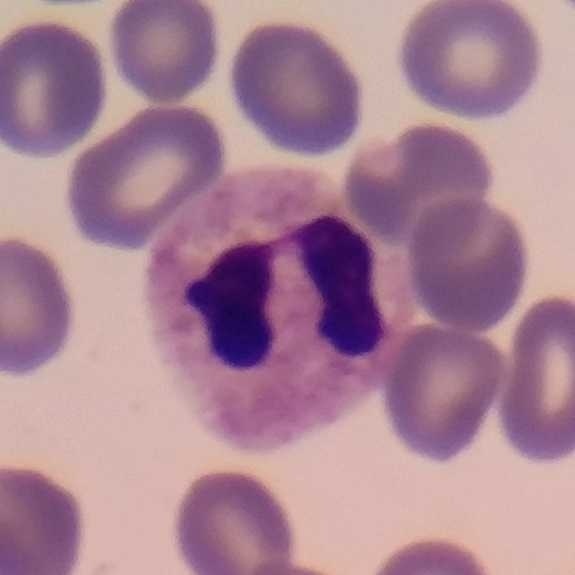
Smartphone photomicrograph; peripheral blood film; 100× magnification.
The white blood cell in this image is a neutrophil.